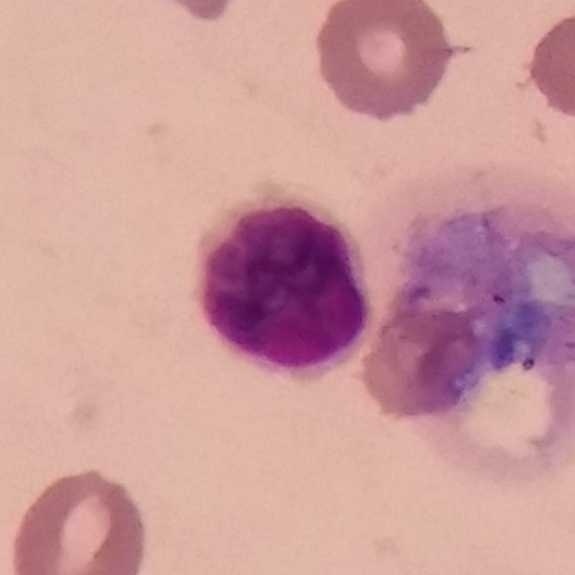

Peripheral blood film. Q: Classify this leukocyte.
A: A lymphocyte.